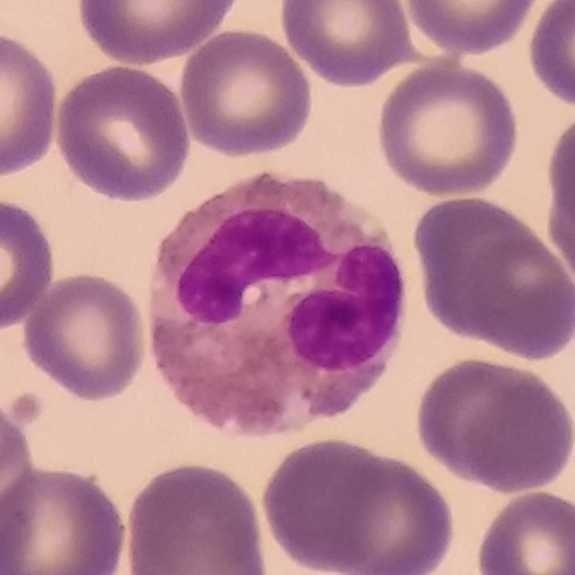The cell type is eosinophil.